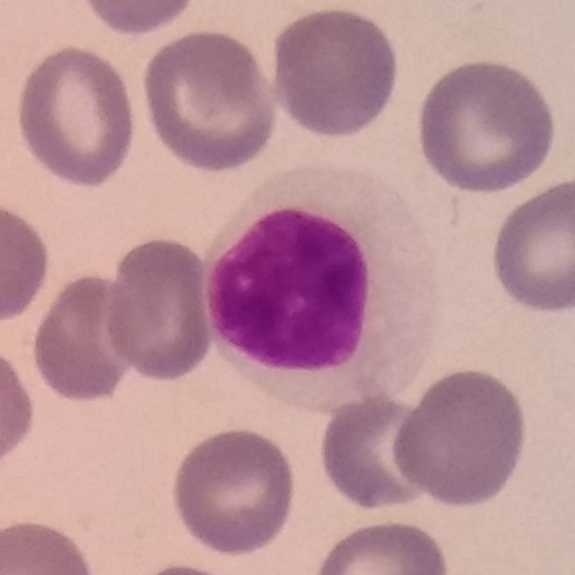 Smartphone camera mounted on the microscope eyepiece · 575×575 px · peripheral blood film.

Lymphocyte.